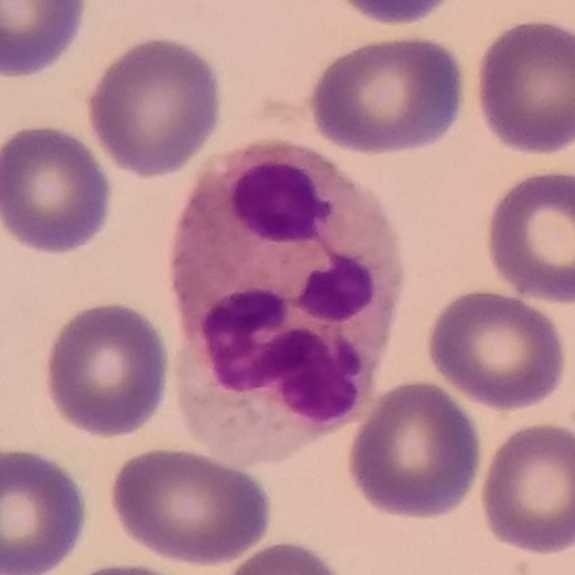 Context: Peripheral blood smear.

Impression — neutrophilic granulocyte.